Giemsa stain · peripheral blood film: 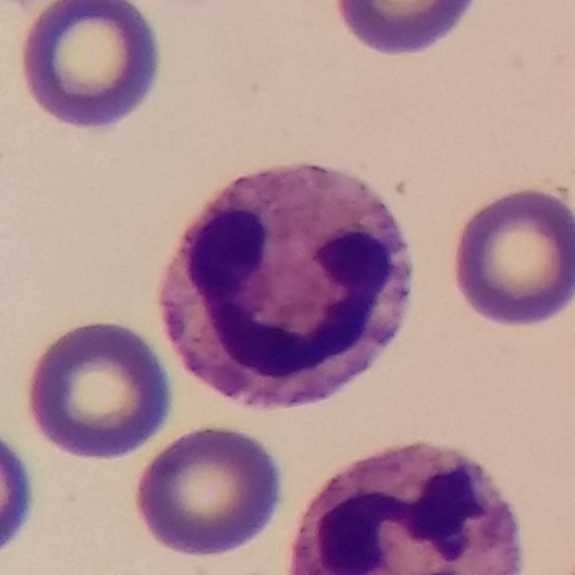
Morphology — neutrophil.